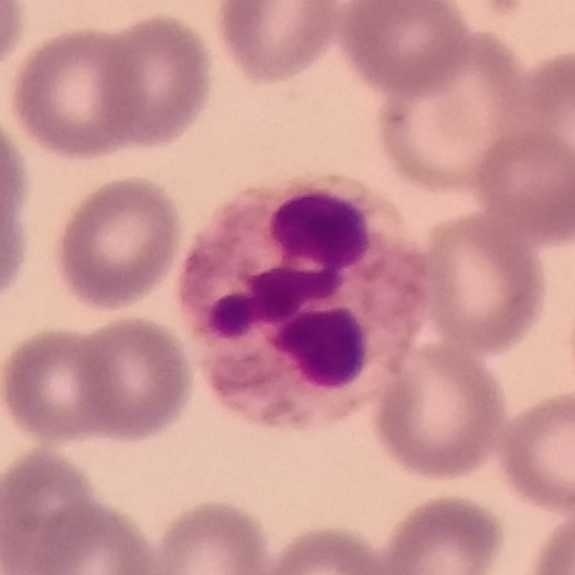

Peripheral blood smear showing a neutrophil.